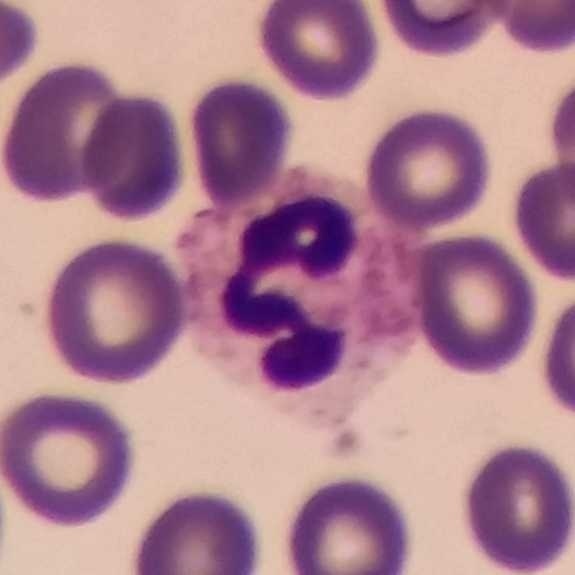
Q: What is the morphological classification of this cell?
A: Neutrophil.